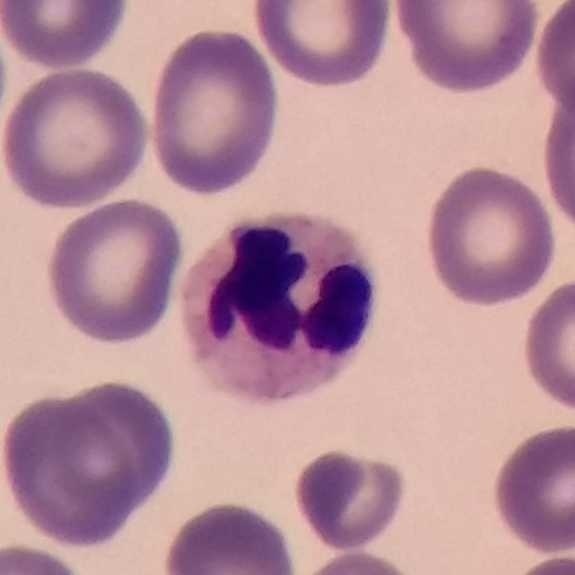
This is a neutrophilic granulocyte.
Preparation: Smartphone photomicrograph · peripheral blood film.